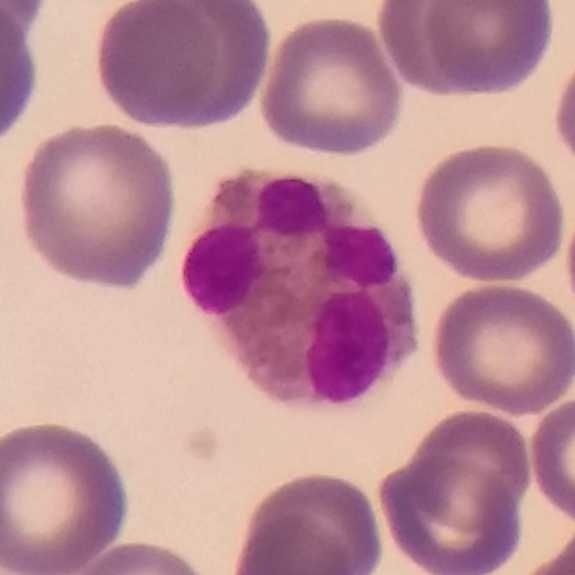

Single-cell crop from a peripheral blood smear: eosinophil.